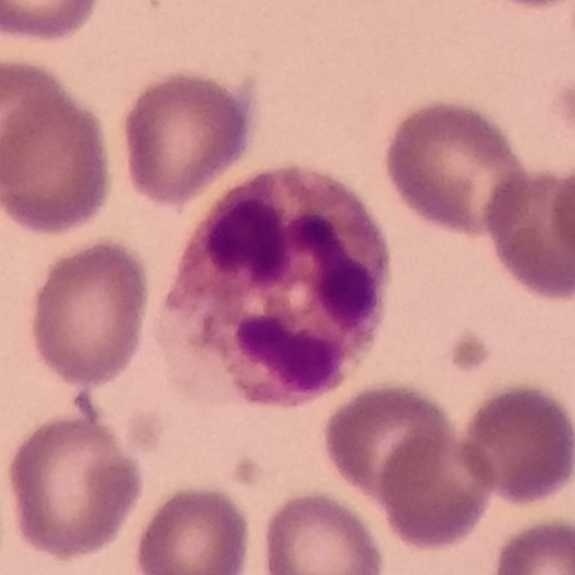

Image: Peripheral blood film.
Morphology — neutrophil granulocyte.